Peripheral blood film:
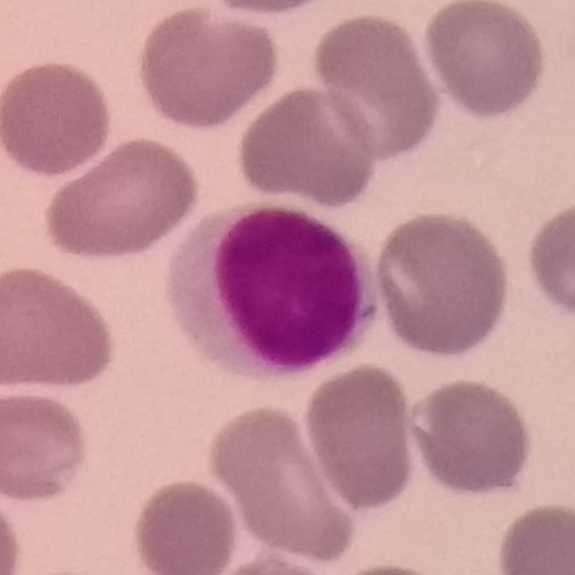Q: What cell is this?
A: It is a lymphocyte.